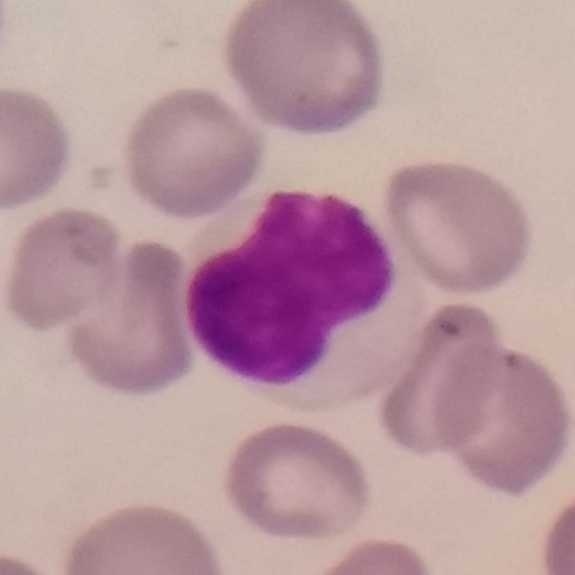
Context: Phone-camera image taken through the microscope ocular; 575×575 px; peripheral blood smear.

Single cell identified as a lymphocyte.